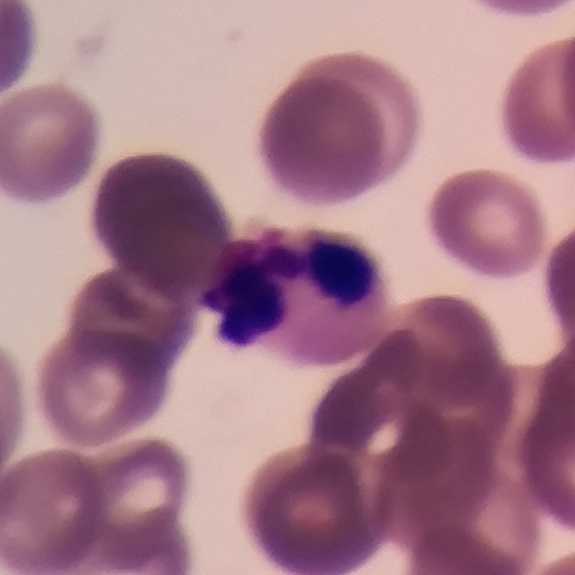
Morphology — neutrophilic granulocyte.

Peripheral blood film. Smartphone camera mounted on the microscope eyepiece.